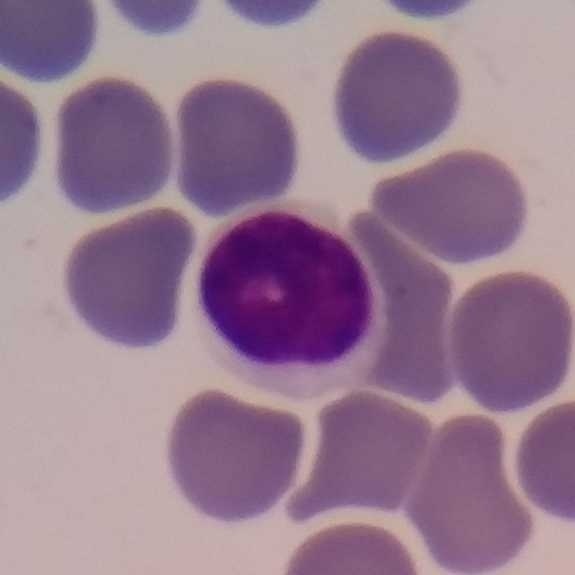
Morphology consistent with a lymphocyte.

Acquisition: Peripheral blood smear.